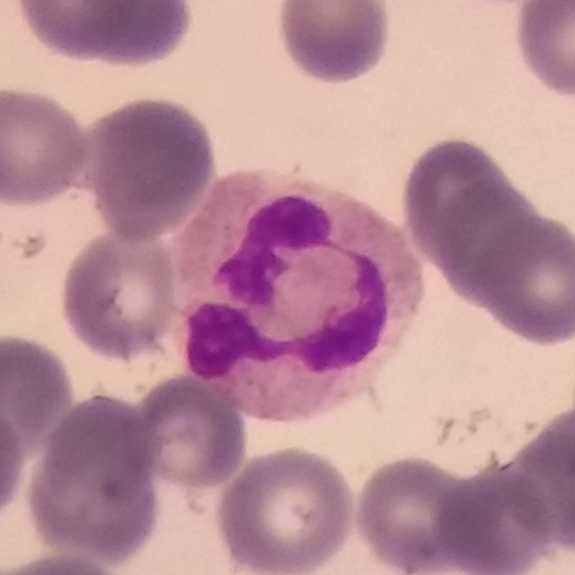 The white blood cell type is neutrophilic granulocyte.
Acquisition: Peripheral blood film.